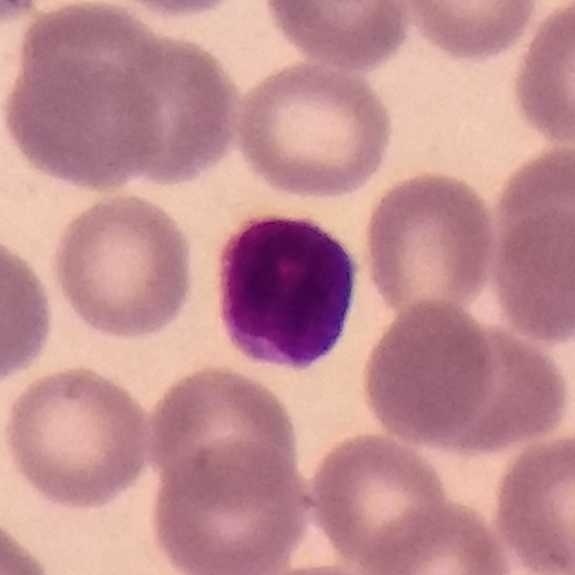

Impression → lymphocyte.
Preparation: Peripheral blood film.